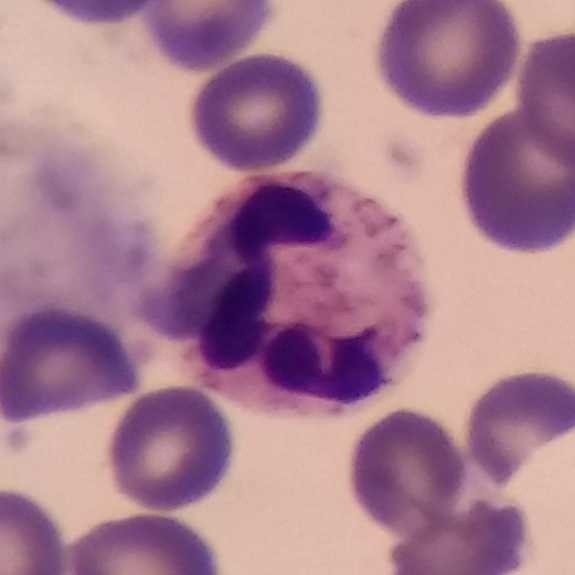 Context: Photographed through a light microscope with a smartphone camera · peripheral blood smear. Impression — neutrophil.